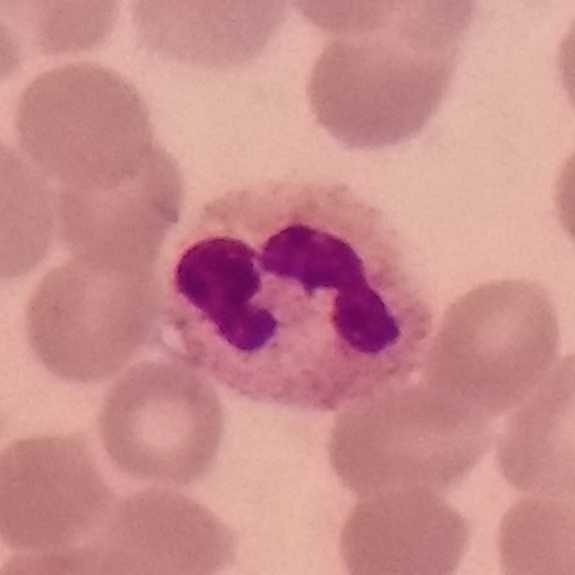 Q: What is the morphological classification of this cell?
A: It is a neutrophilic granulocyte.